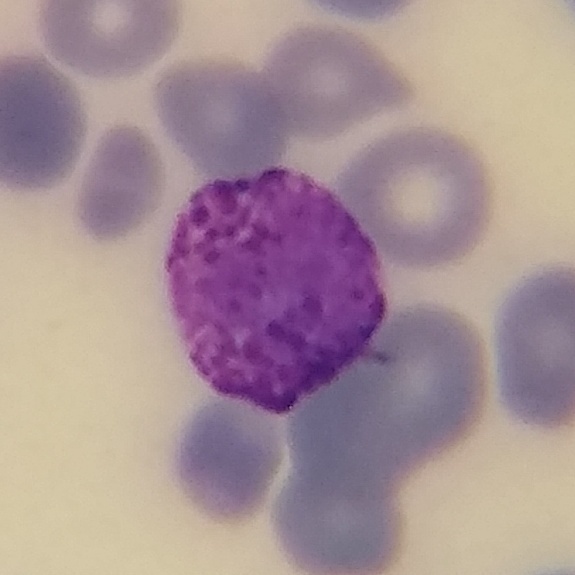 Impression → basophilic granulocyte.
Image: Peripheral blood film.